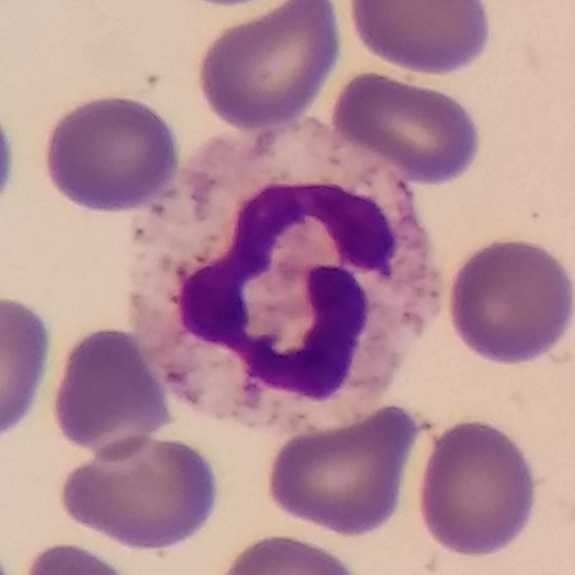
The white blood cell in this image is a neutrophil.